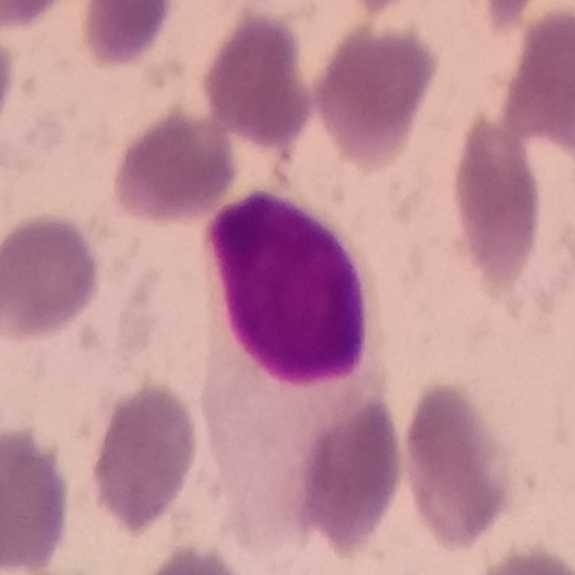The white blood cell in this image is a lymphocyte. Peripheral blood film.